Stained with Giemsa. Image size 575×575. Peripheral blood film — 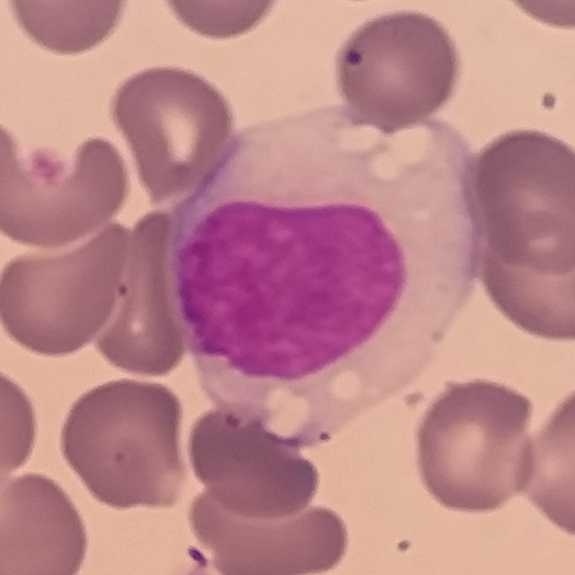
Identified as a lymphocyte.